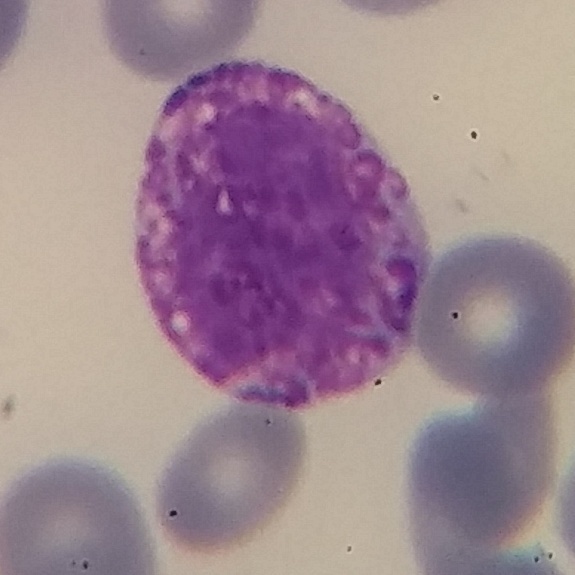

Context: Single-cell field · peripheral blood film.

Single cell identified as a basophilic granulocyte.